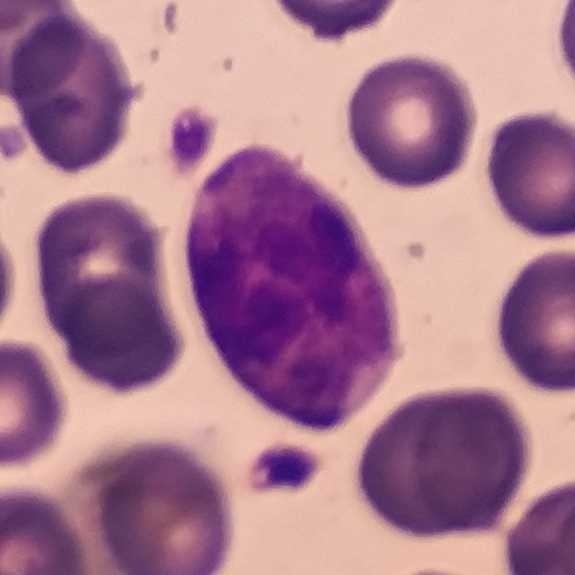Q: Which cell type is shown here?
A: This is a neutrophil.